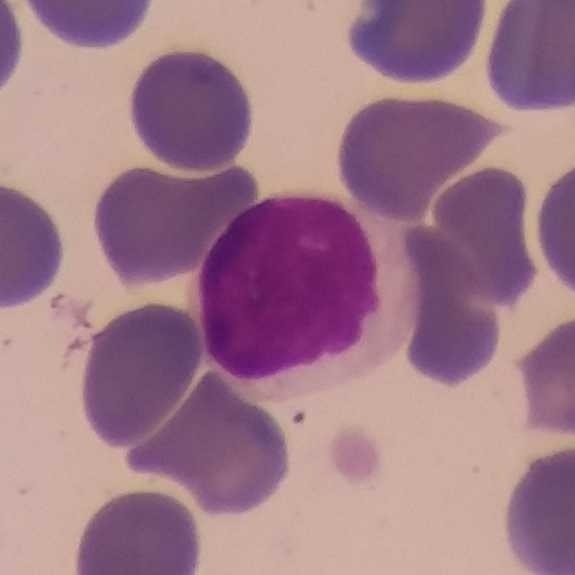 Peripheral blood film. Single cell identified as a lymphocyte.